575 by 575 pixels; peripheral blood film; single-cell crop: 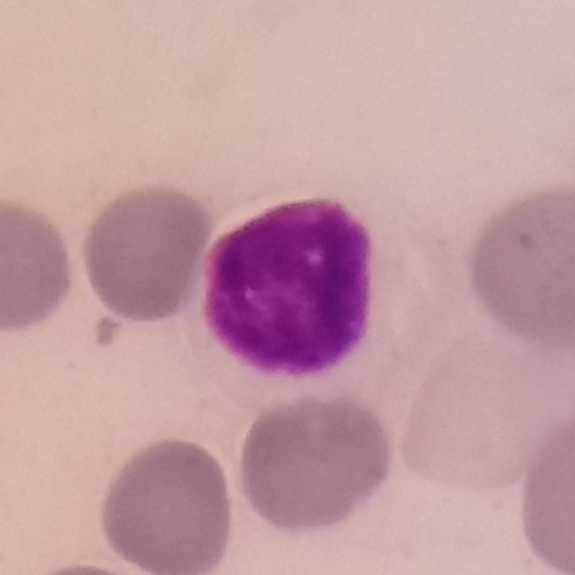
Morphology → lymphocyte.